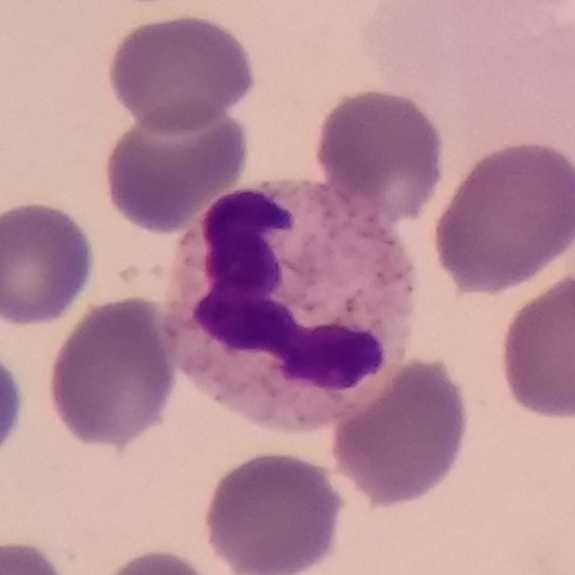
Peripheral blood smear · imaged at 100×. {"cell_type": "neutrophilic granulocyte", "lineage": "myeloid"}